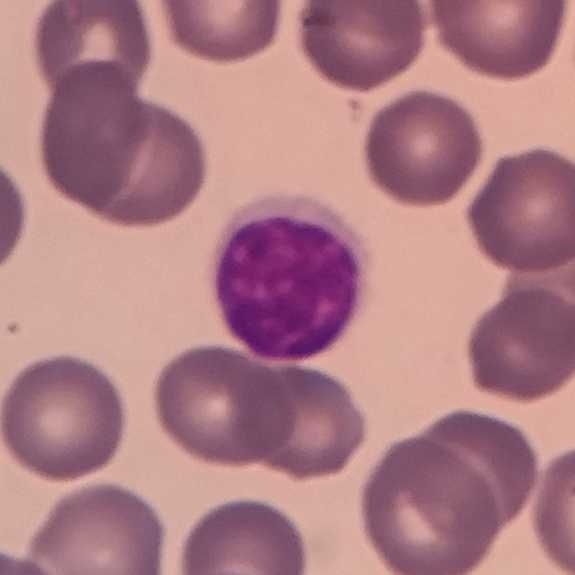
Acquisition: Peripheral blood smear. Magnification 100×. Single-cell field. White blood cell type — lymphocyte.